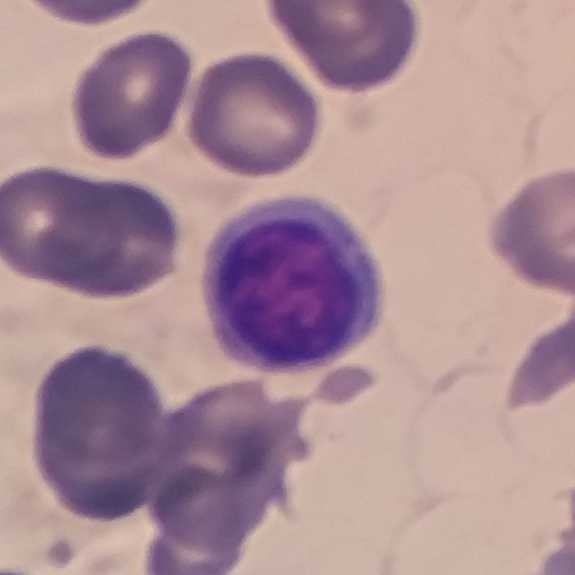 Identified as a lymphocyte. Peripheral blood film.